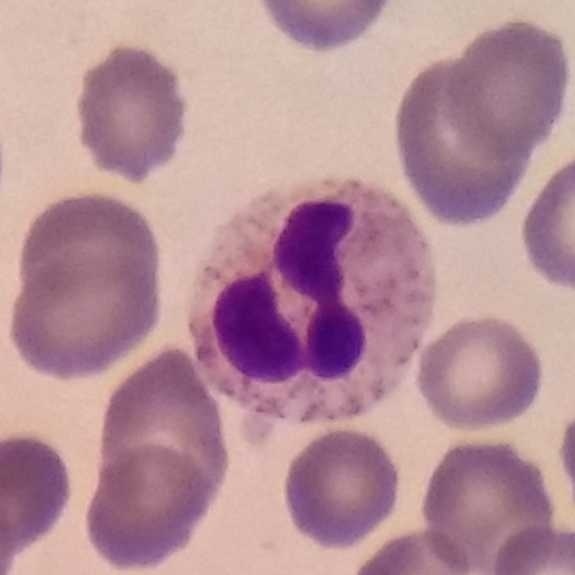 White blood cell from a peripheral blood smear: neutrophilic granulocyte.